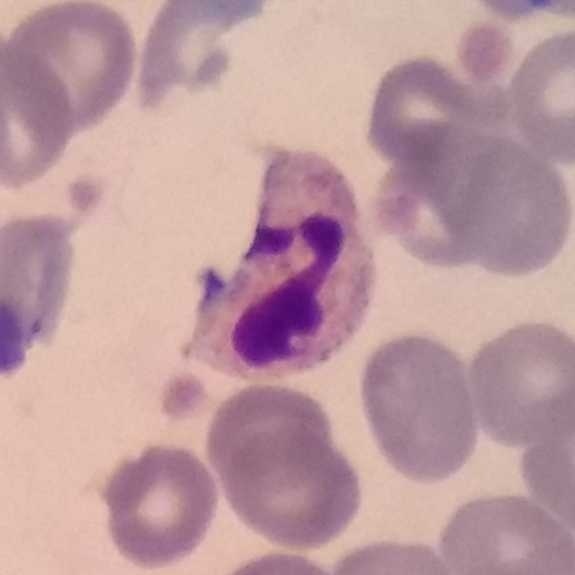

{"cell_type": "neutrophil granulocyte"}